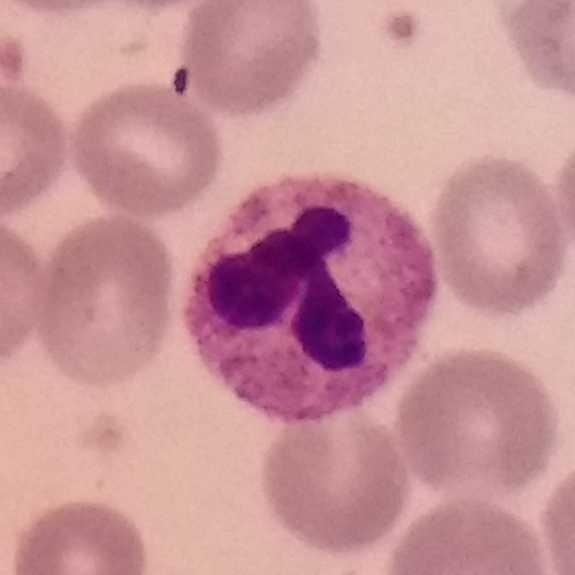Peripheral blood film · smartphone camera mounted on the microscope eyepiece. Classification = neutrophilic granulocyte.